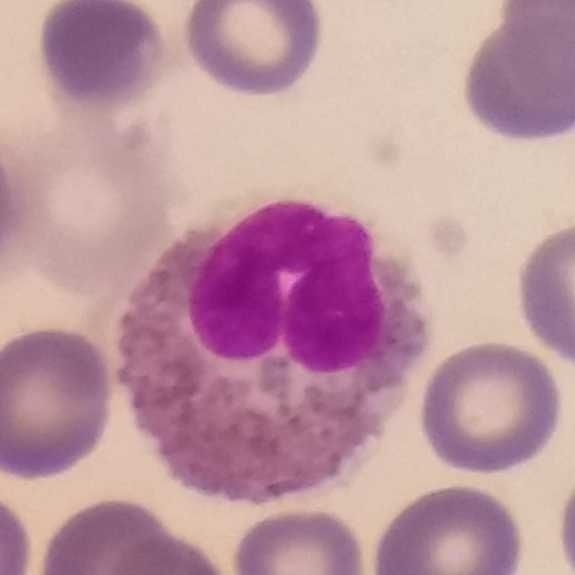
Q: What is this?
A: It is an eosinophil.